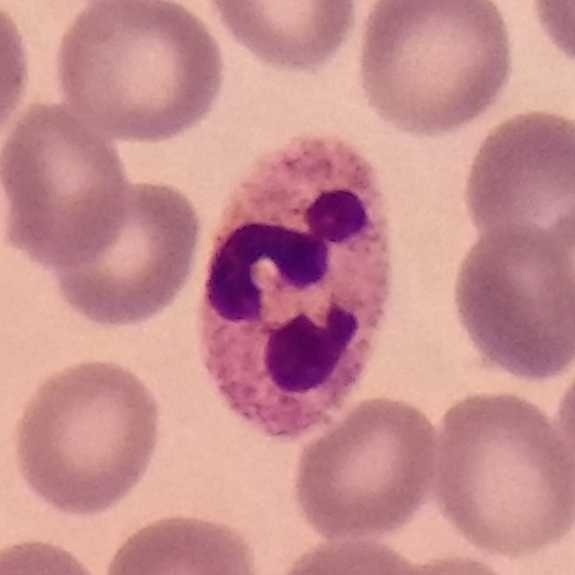Impression → neutrophil granulocyte. Context: Peripheral blood smear.